Peripheral blood smear:
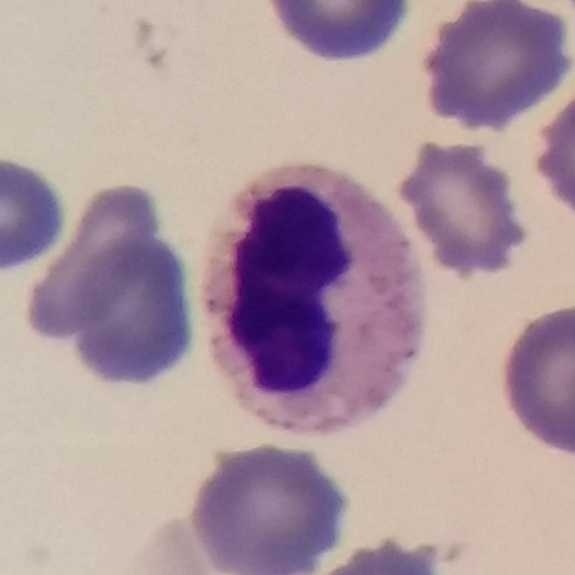This is a neutrophil granulocyte.